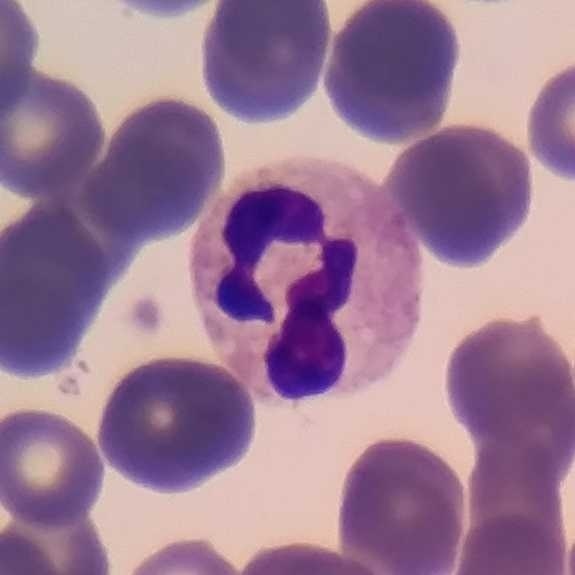

Single-cell crop. Peripheral blood smear. Q: What type of cell is this?
A: This is a neutrophil granulocyte.